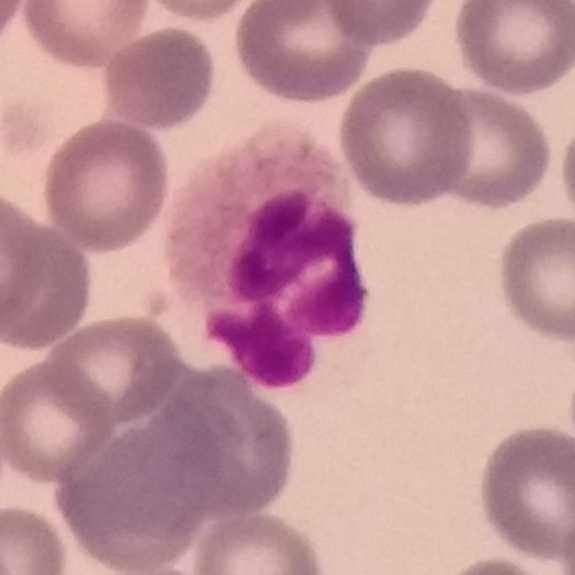

Acquisition: Peripheral blood film.
Impression — neutrophilic granulocyte.